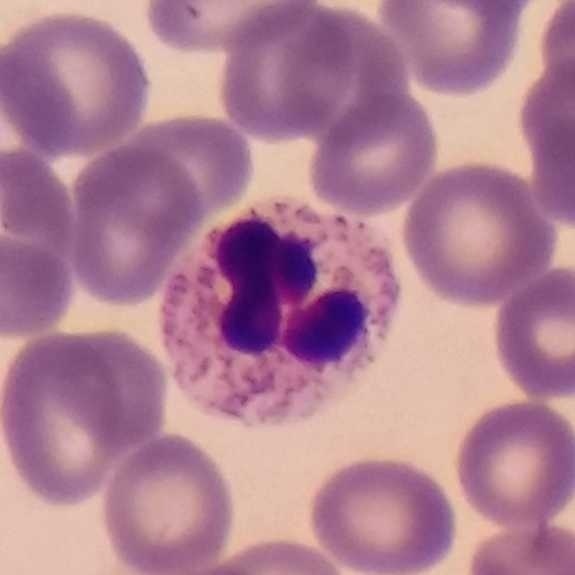 Morphology — neutrophilic granulocyte.
Image: Peripheral blood smear.